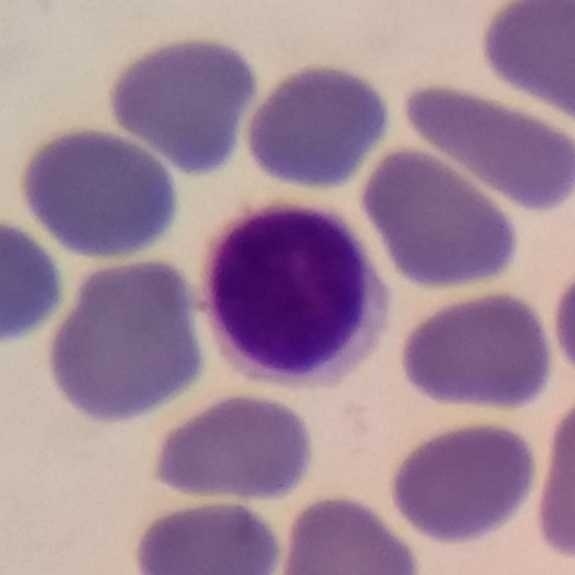Morphology consistent with a lymphocyte.
Acquisition: Peripheral blood film.